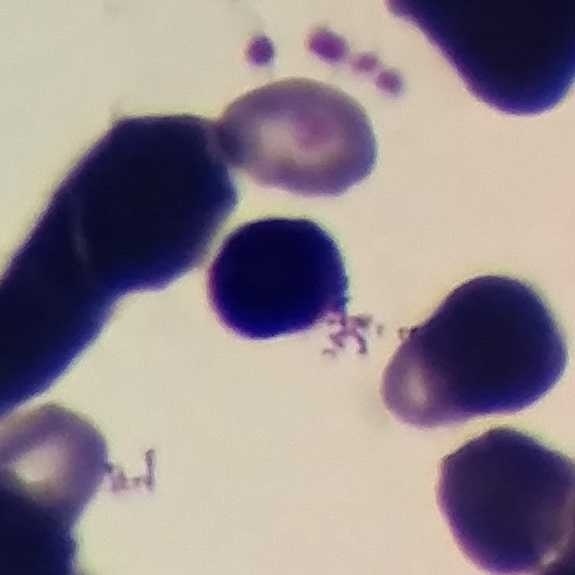

Peripheral blood film.

Q: Which type of white blood cell is this?
A: This is a lymphocyte.